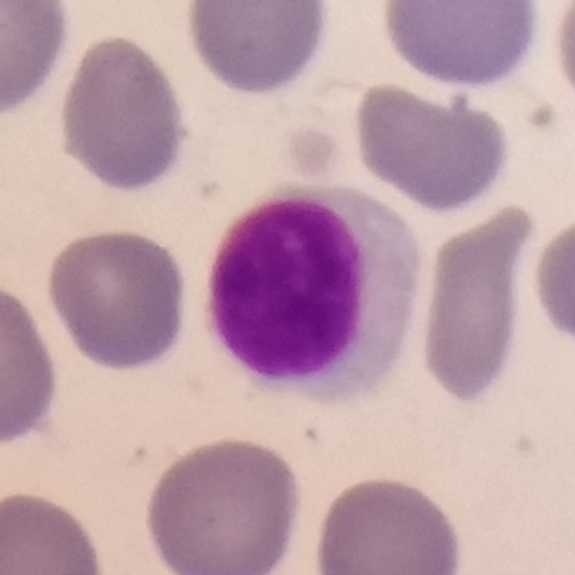Morphology — lymphocyte.

Preparation: Peripheral blood smear · stained with Giemsa.